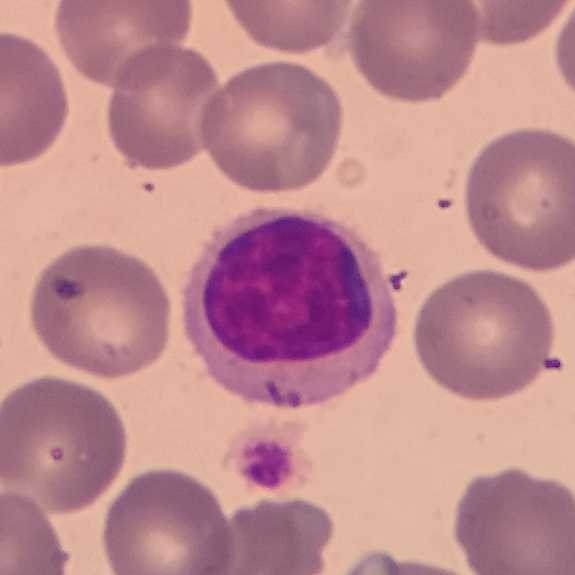Image: Imaged at 100×. Peripheral blood smear. Single-cell crop.

Q: What is shown here?
A: This is a lymphocyte.